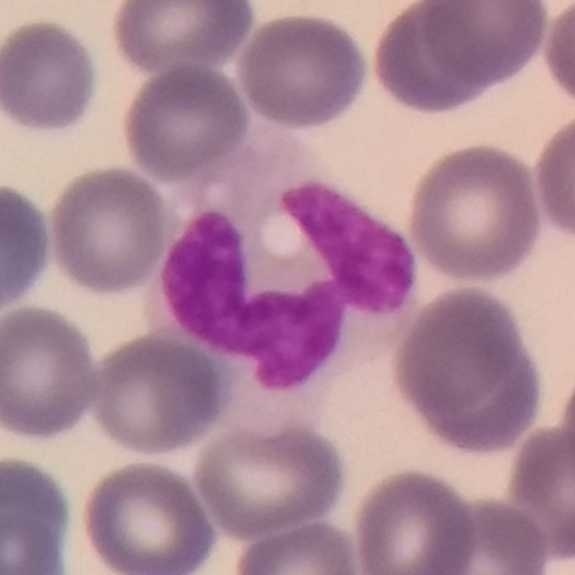
Context: Peripheral blood smear. Q: Identify the cell.
A: This is a monocyte.